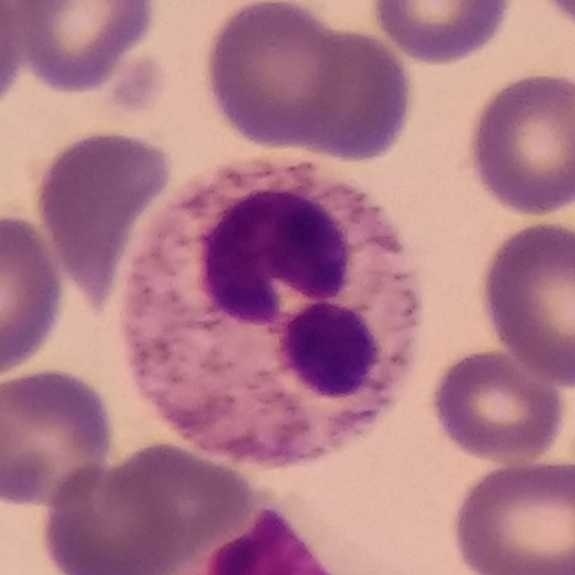

Identified as a neutrophil. Peripheral blood film.